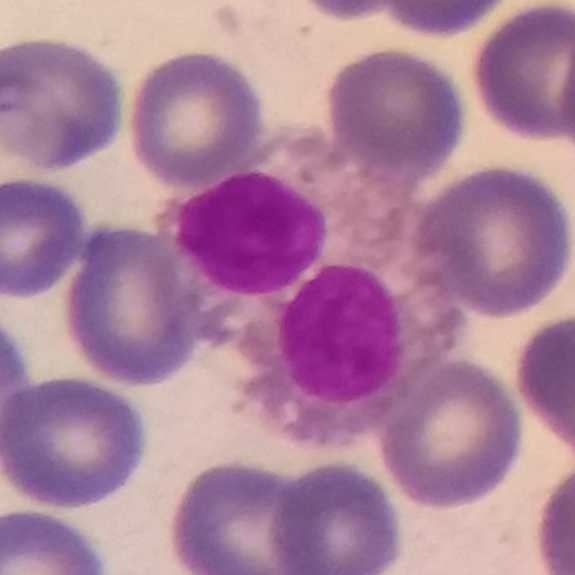
Specimen: peripheral blood smear.
Cell type: eosinophilic granulocyte.